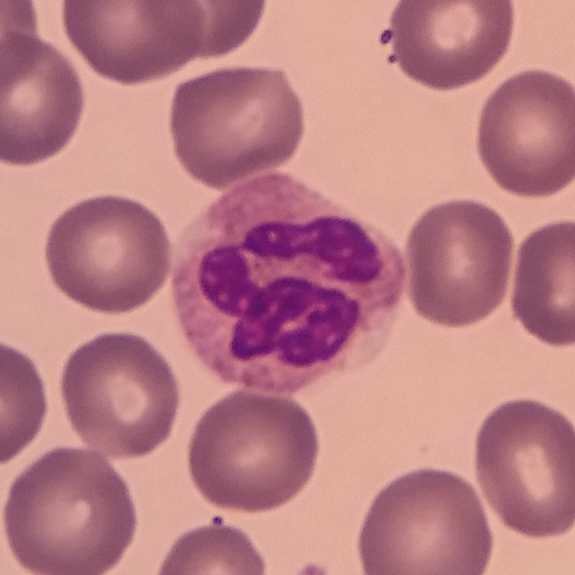

Morphology → neutrophil. Peripheral blood film.